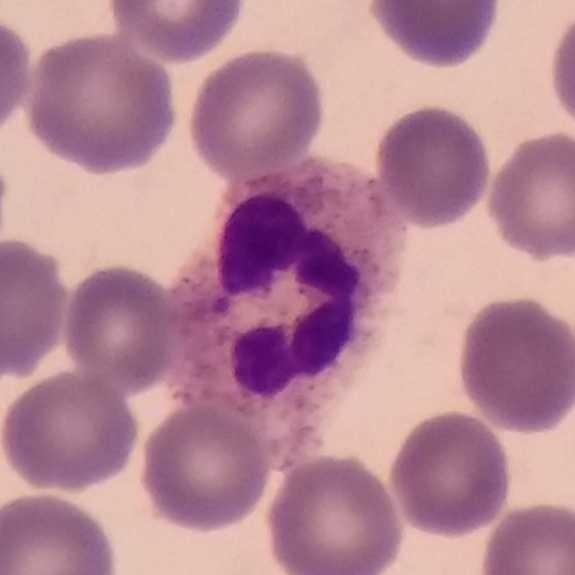Preparation: Peripheral blood smear. Stained with Giemsa. The cell shown is a neutrophil granulocyte.